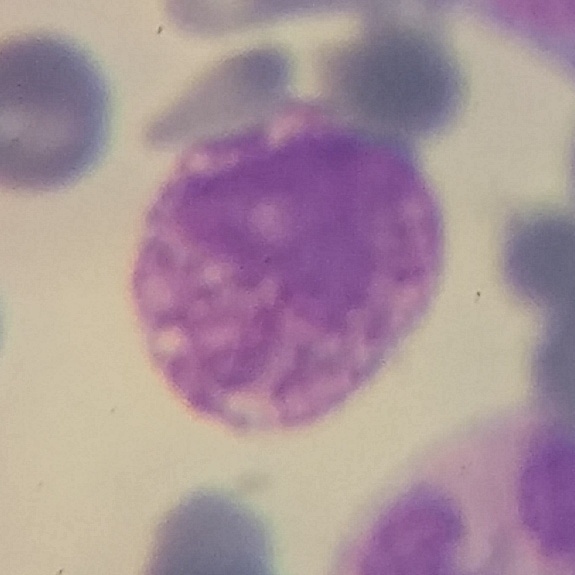Single-cell crop from a peripheral blood smear: basophilic granulocyte.